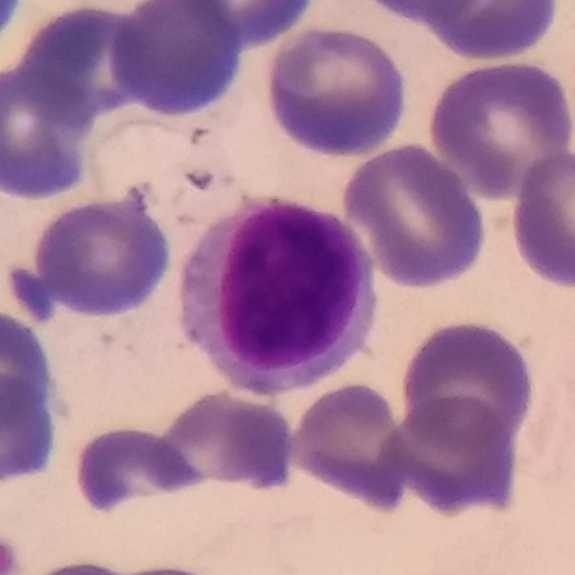 Peripheral blood film · Giemsa-stained.
The cell shown is a lymphocyte.